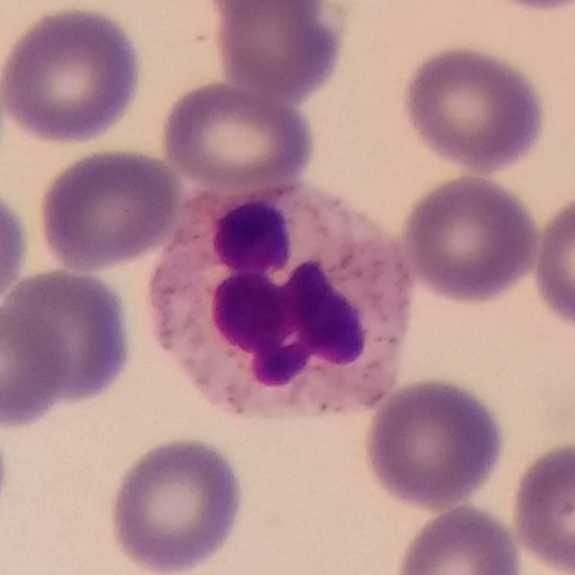A neutrophil granulocyte on a peripheral blood smear.